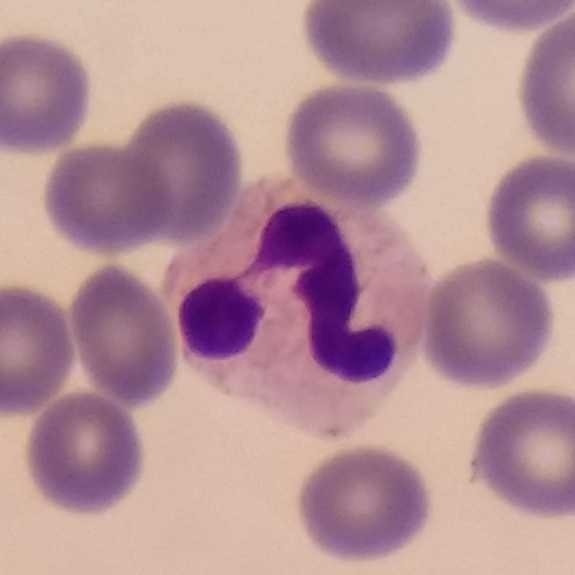

From a peripheral blood smear: a neutrophil granulocyte.